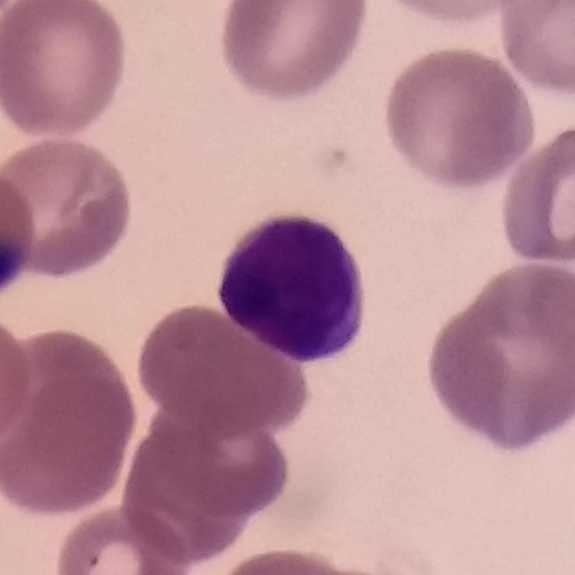

Single cell identified as a lymphocyte. Acquisition: Peripheral blood film. Photographed through a light microscope with a smartphone camera. 575×575.